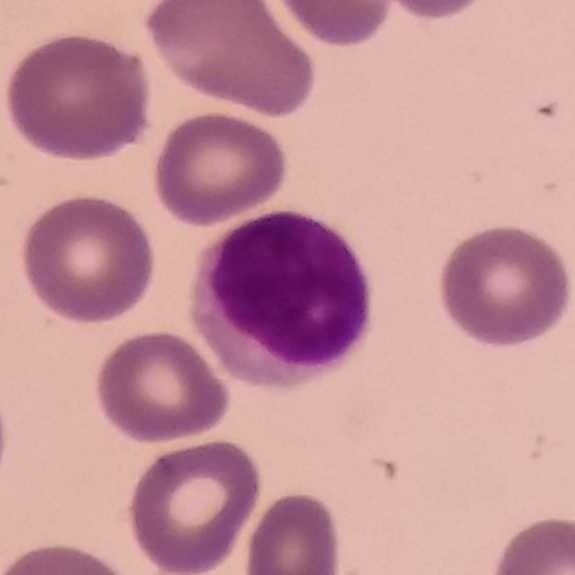
The classification is lymphocyte.

Peripheral blood smear.